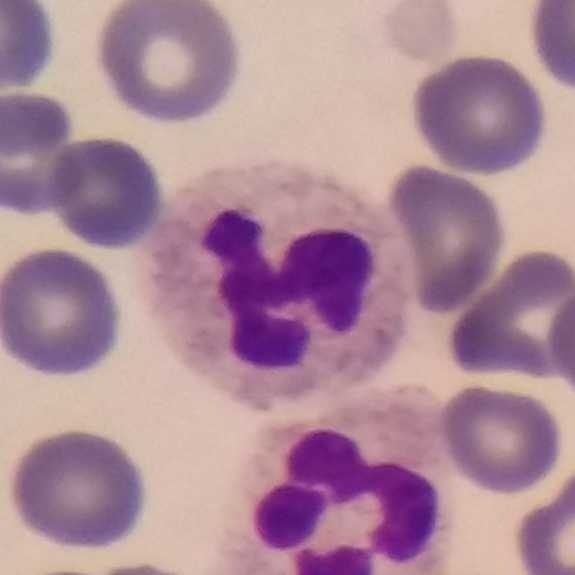Single cell identified as a neutrophil.
Acquisition: Single-cell field. Peripheral blood smear.